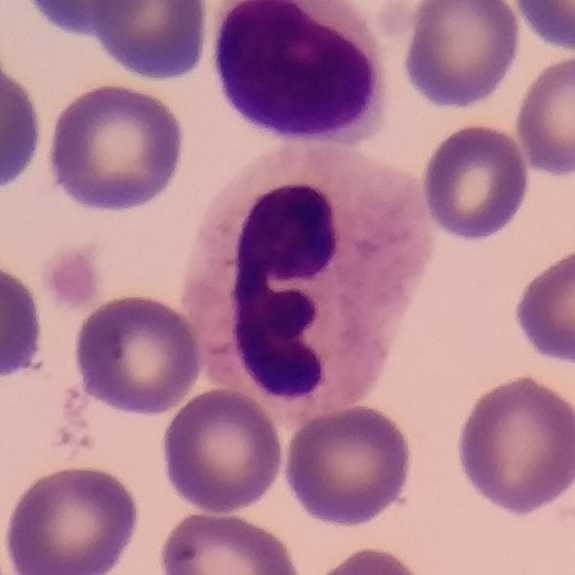
The white blood cell in this image is a neutrophil granulocyte. Peripheral blood film · 575×575.